Peripheral blood smear; stained with Giemsa.
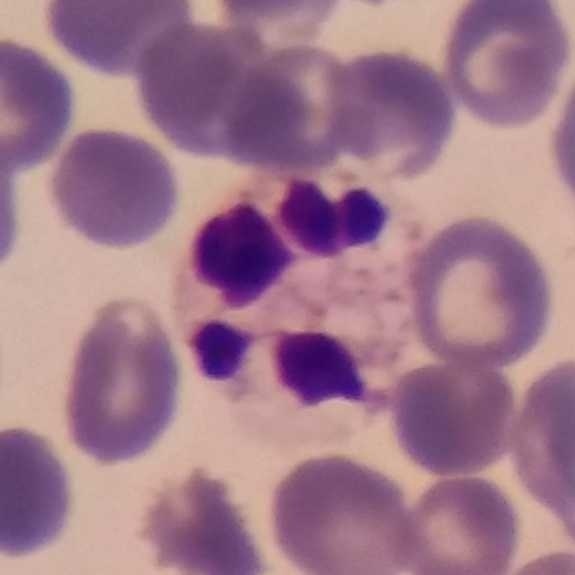

Q: Classify this leukocyte.
A: Neutrophil.